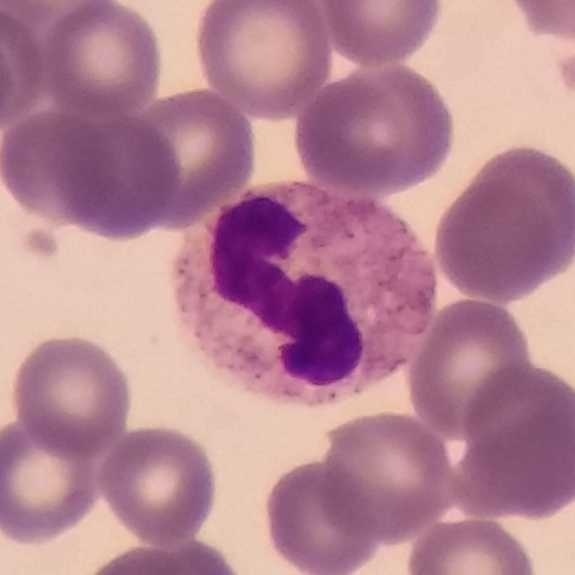
Peripheral blood smear showing a neutrophil granulocyte.